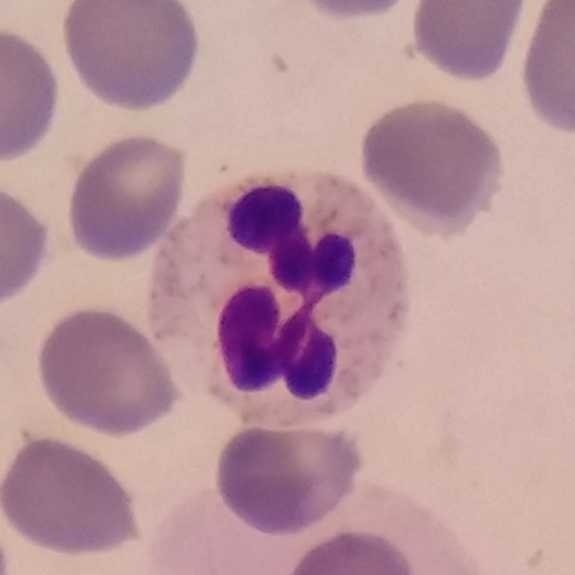

Acquisition: Peripheral blood smear · single-cell crop.
The cell is neutrophilic granulocyte.